Stained with Giemsa. Peripheral blood smear
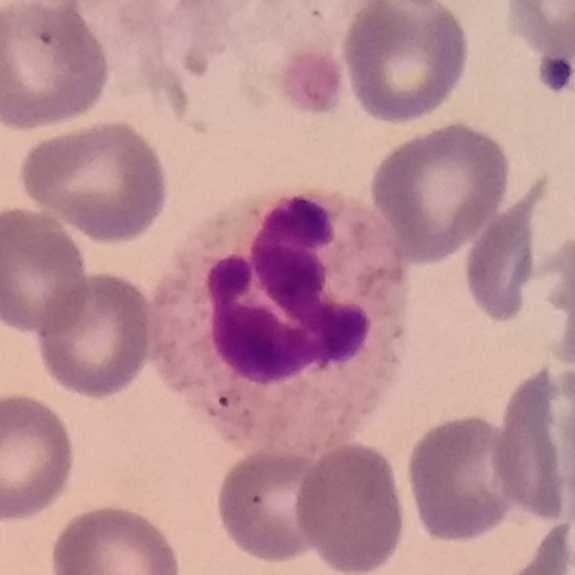

The white blood cell in this image is a neutrophil granulocyte.